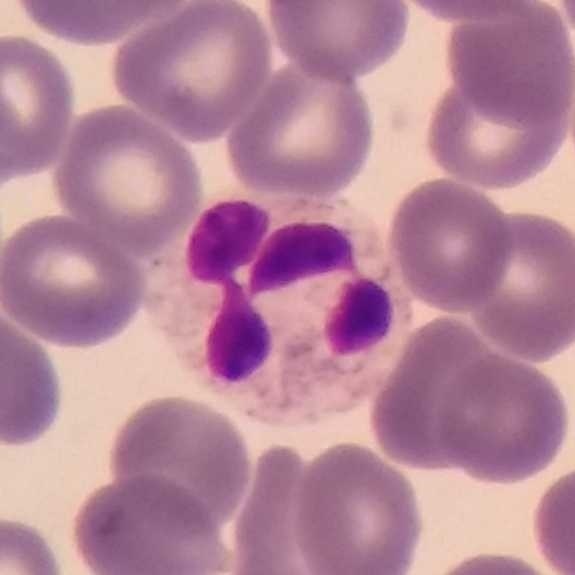
Image: Peripheral blood smear. {"cell_type": "neutrophil granulocyte", "lineage": "myeloid"}